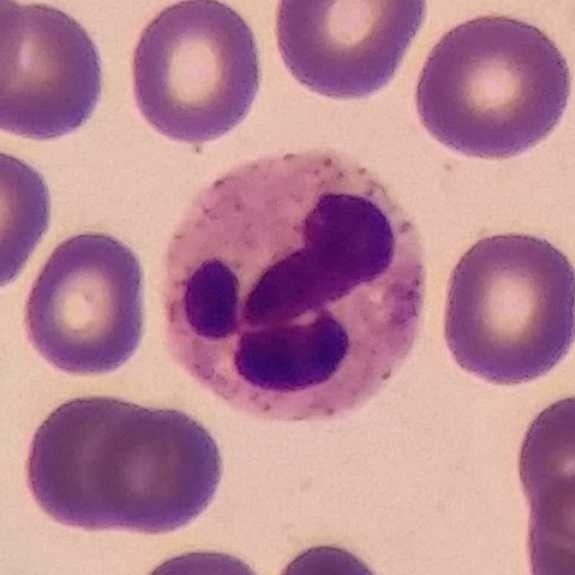Smartphone camera mounted on the microscope eyepiece · peripheral blood smear.

Morphology consistent with a neutrophil granulocyte.